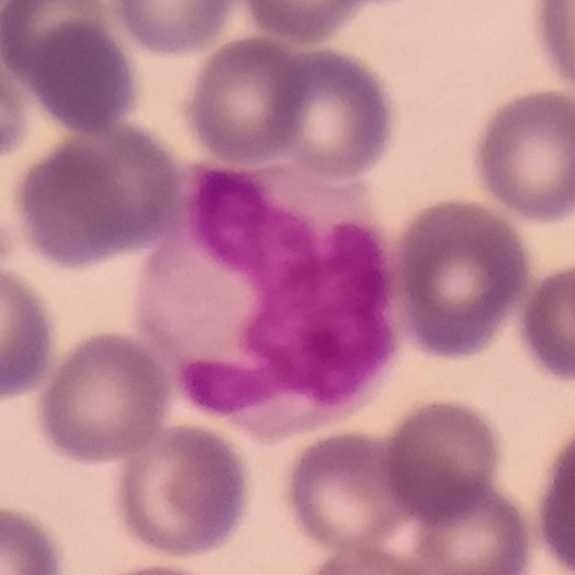
Q: What type of cell is this?
A: Monocyte.

Peripheral blood film; single white blood cell cropped from the smear photograph.